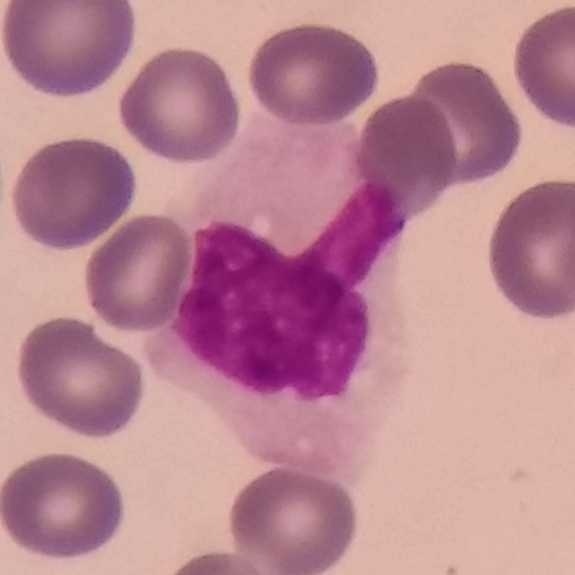Peripheral blood smear · Giemsa stain.
Monocyte.